Peripheral blood smear · 575×575 px:
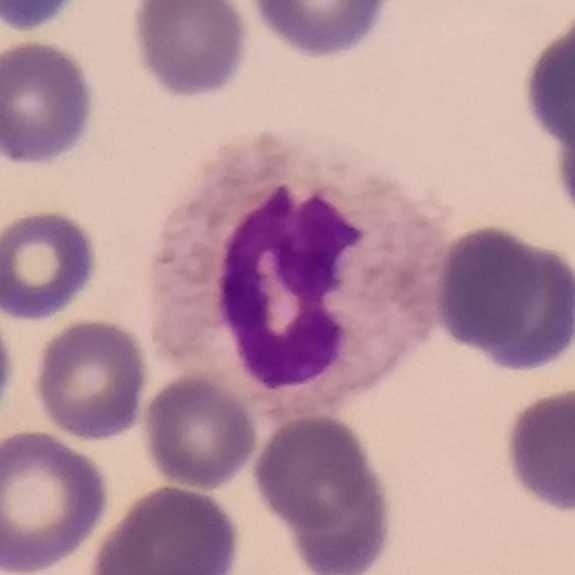

Q: What type of cell is this?
A: Neutrophil.